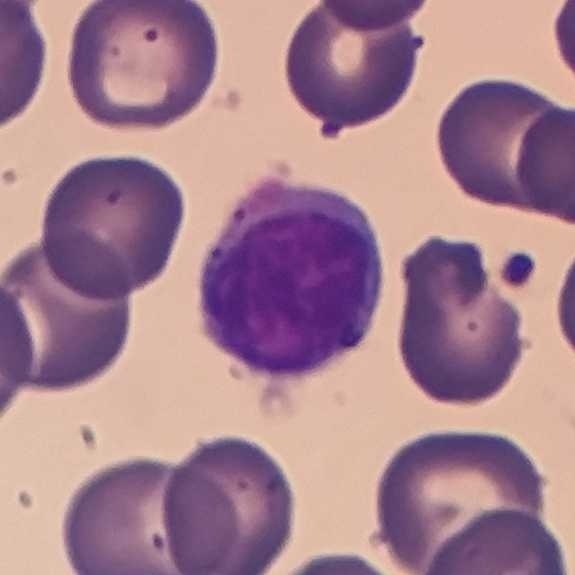 Specimen: peripheral blood smear.
Classification: lymphocyte.
Lineage: lymphoid.